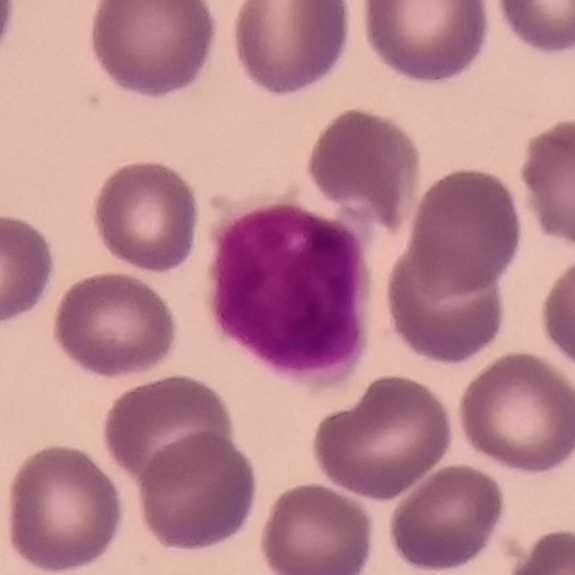
{"cell_type": "lymphocyte", "lineage": "lymphoid"}
Preparation: Peripheral blood film.